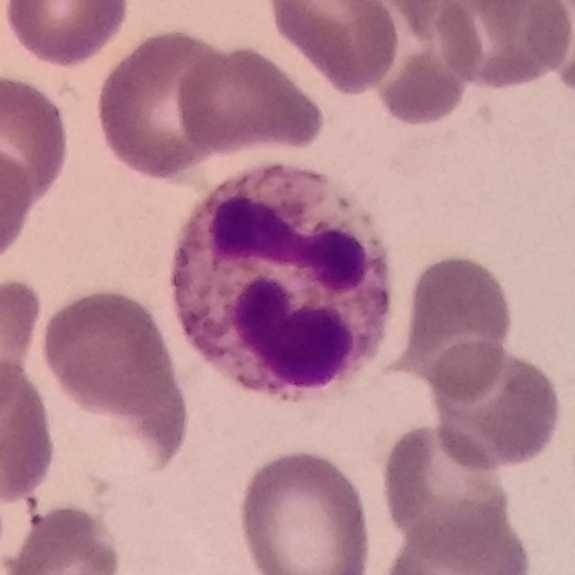 Impression → neutrophil.

Context: Peripheral blood film.